Giemsa-stained. Peripheral blood smear.
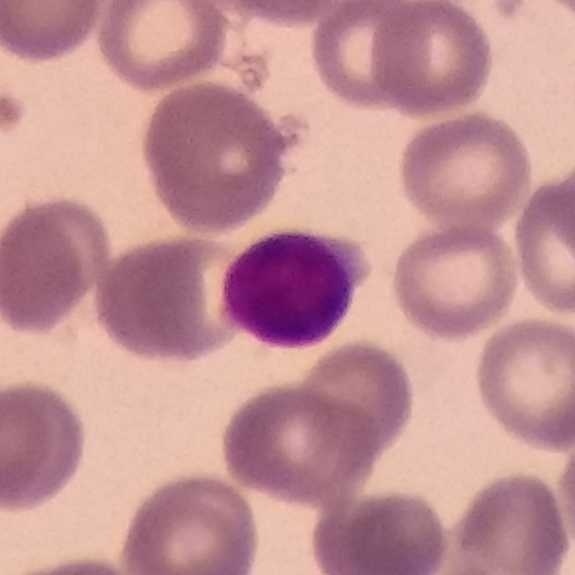Morphology — lymphocyte.